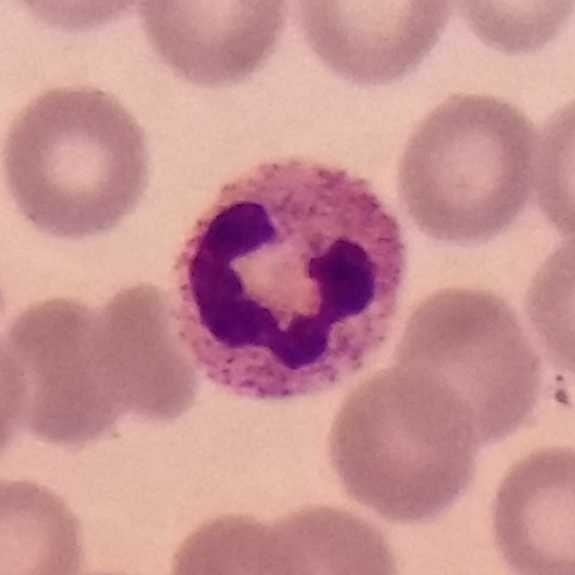Specimen: peripheral blood smear.
Cell: neutrophilic granulocyte.
Lineage: myeloid.